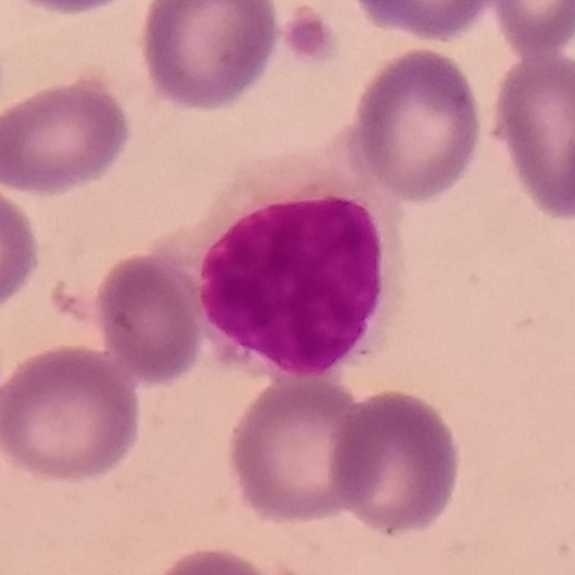

Cell — lymphocyte.

Preparation: Peripheral blood smear. Cropped to one leukocyte.